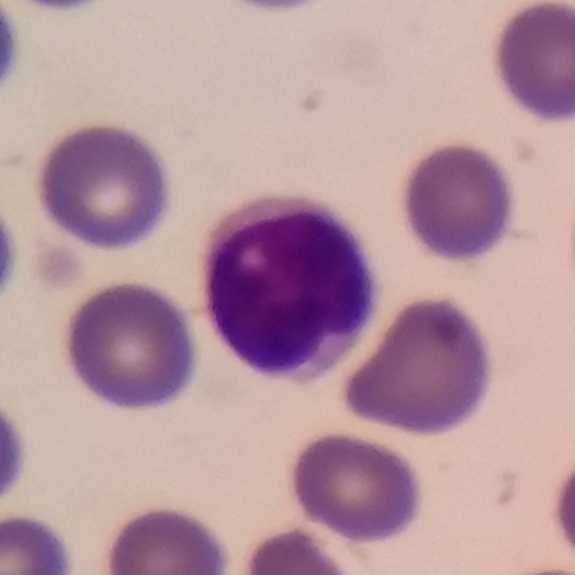

Morphology — lymphocyte.

Peripheral blood film · 100× magnification · 575×575 px.